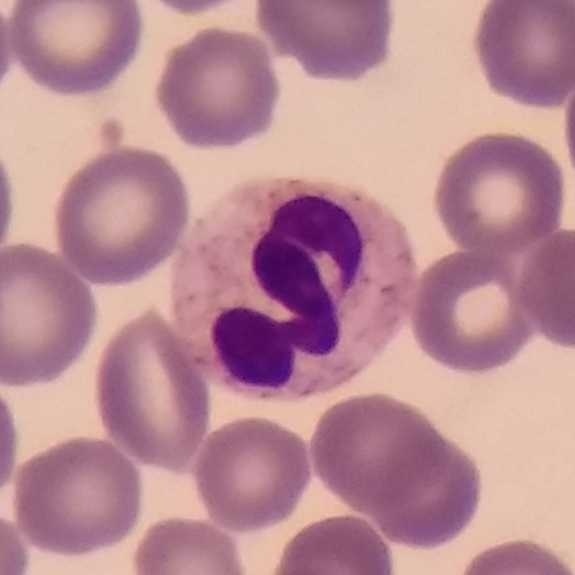 Morphology → neutrophil granulocyte. Peripheral blood film · 575×575 px.